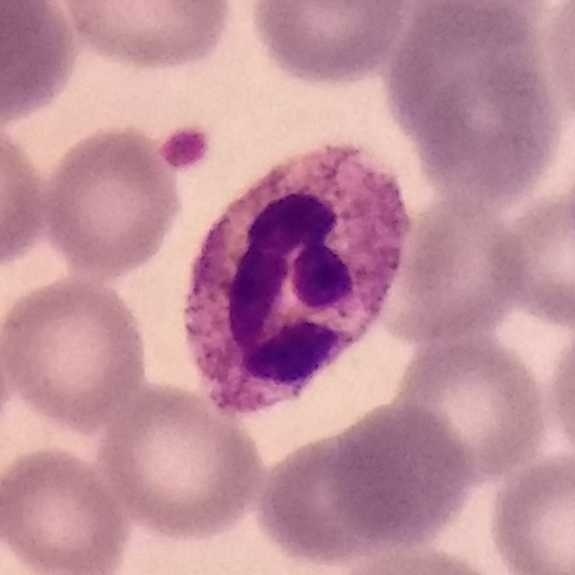Peripheral blood film, single cell — neutrophilic granulocyte.